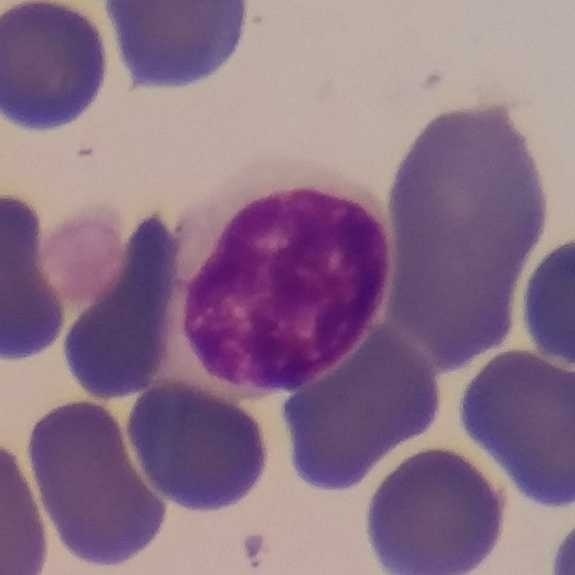
Acquisition: Smartphone camera mounted on the microscope eyepiece · cropped to one leukocyte · peripheral blood smear. Impression → lymphocyte.